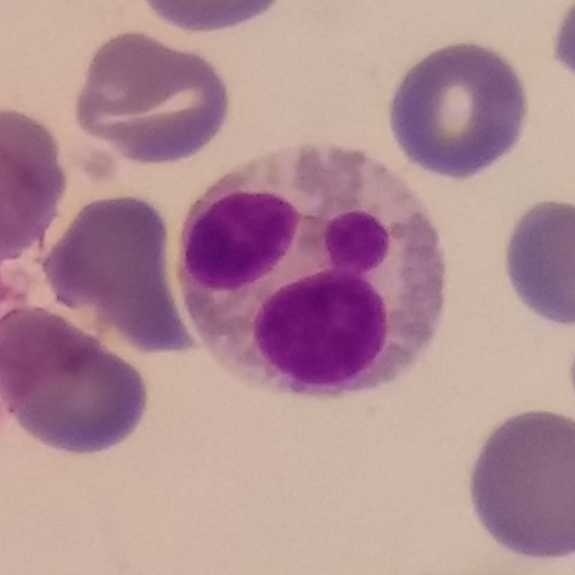

An eosinophil on a peripheral blood smear.